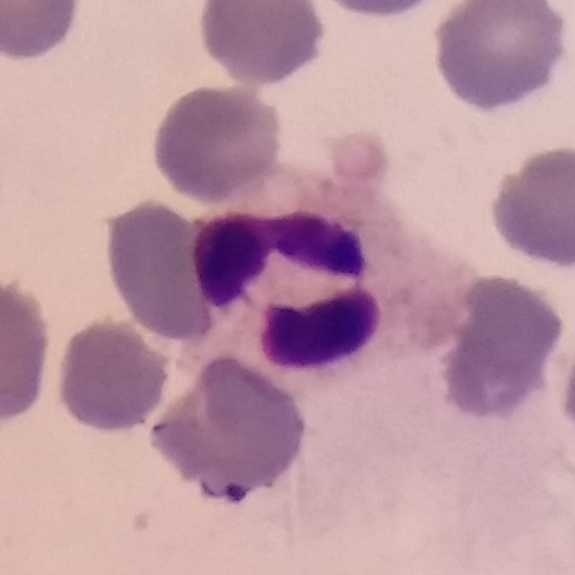

Cell = neutrophil.
Acquisition: Peripheral blood smear.